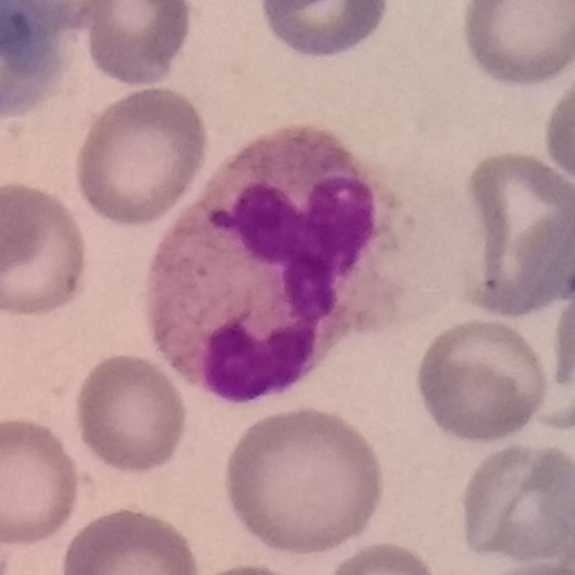

The cell shown is a neutrophilic granulocyte.